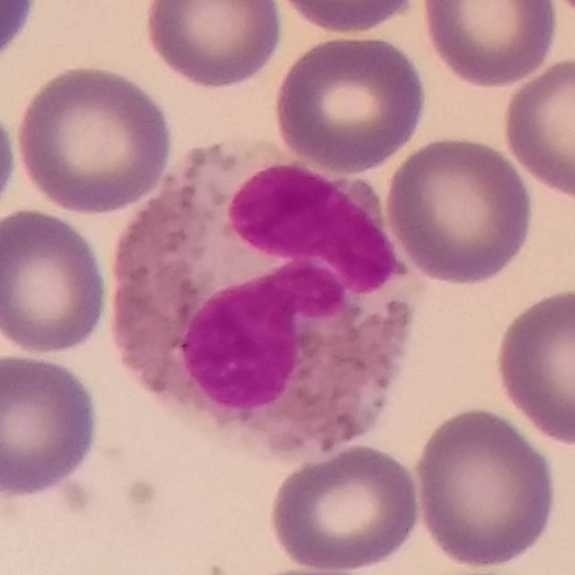 The morphological class is eosinophilic granulocyte.